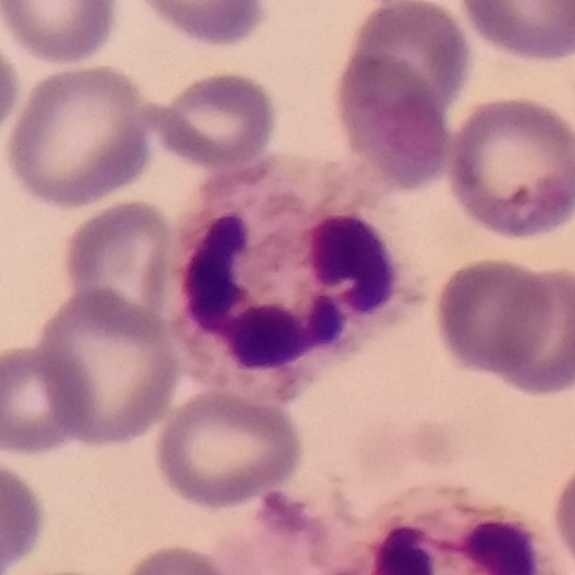Cell = neutrophil.

Context: Peripheral blood film.